Imaged at 100×; peripheral blood smear; Giemsa-stained: 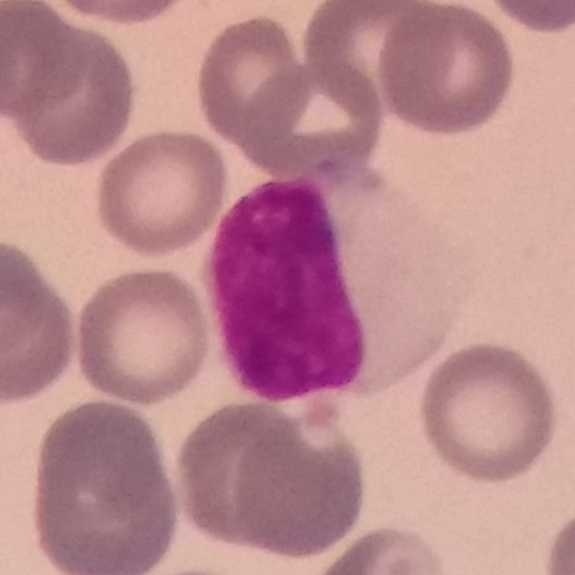Identified as a lymphocyte.